Peripheral blood film: 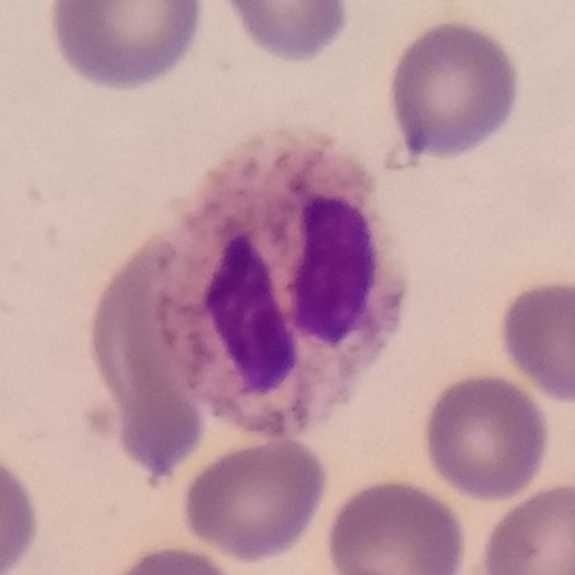 Single cell identified as a neutrophil granulocyte.